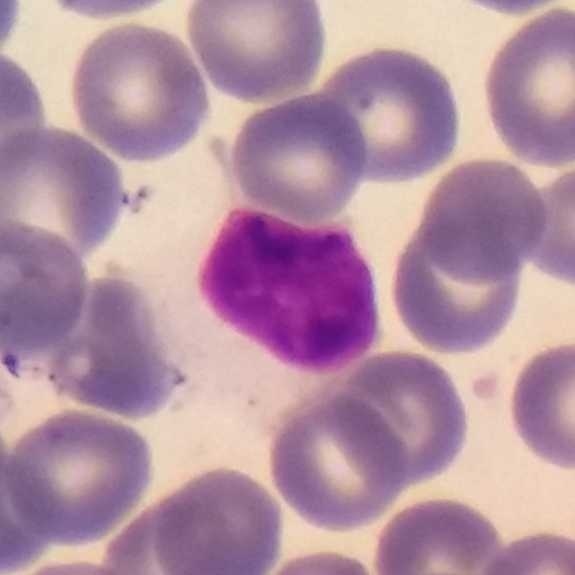
Peripheral blood film. Classification — lymphocyte.